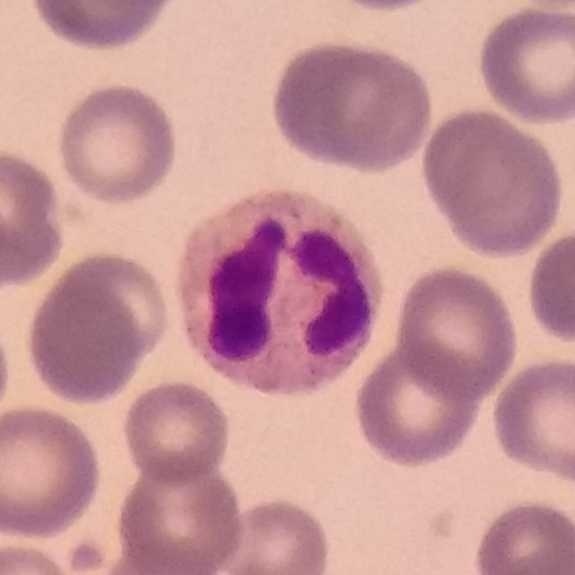
Acquisition: Peripheral blood film; single white blood cell cropped from the smear photograph; smartphone camera mounted on the microscope eyepiece. Impression — neutrophil granulocyte.